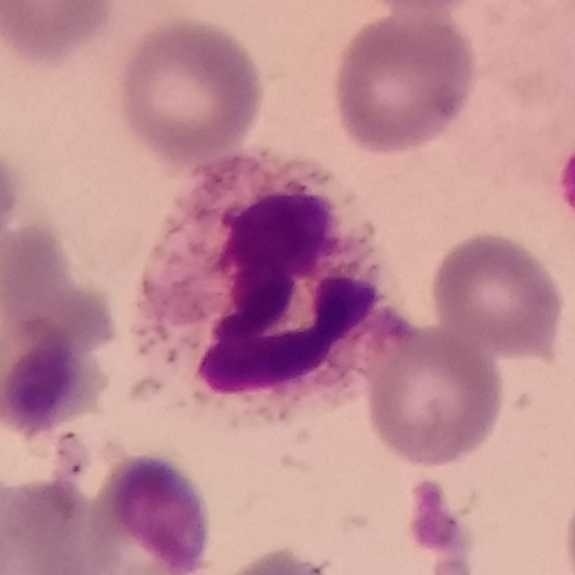Q: Which type of white blood cell is this?
A: Neutrophil granulocyte.
Acquisition: Image size 575×575. Peripheral blood film.